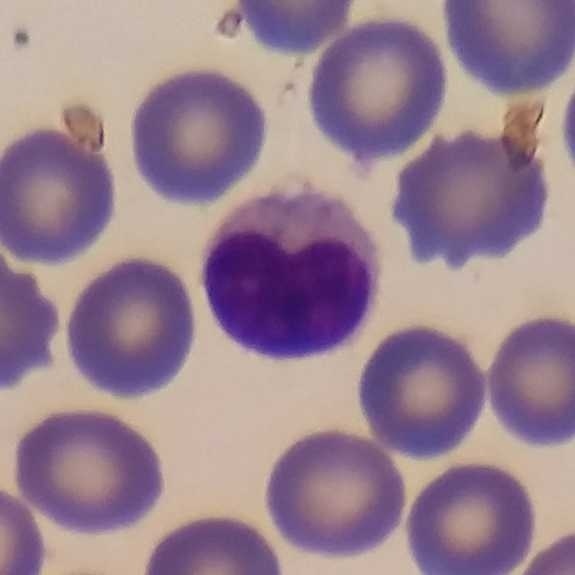

Specimen: peripheral blood film.
Classification: lymphocyte.